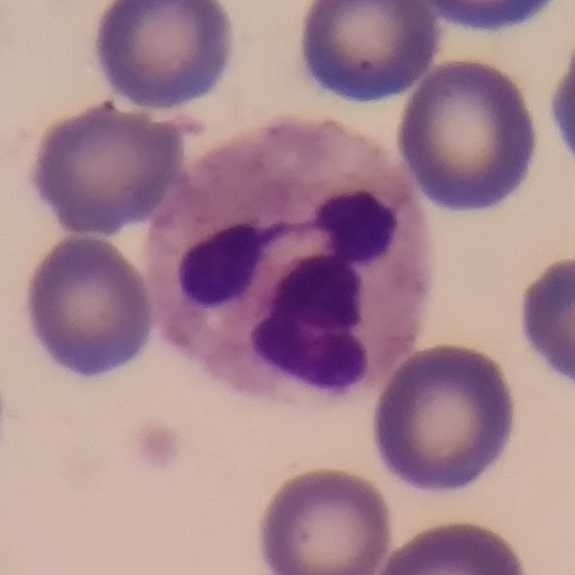
The white blood cell in this image is a neutrophilic granulocyte.